Peripheral blood film:
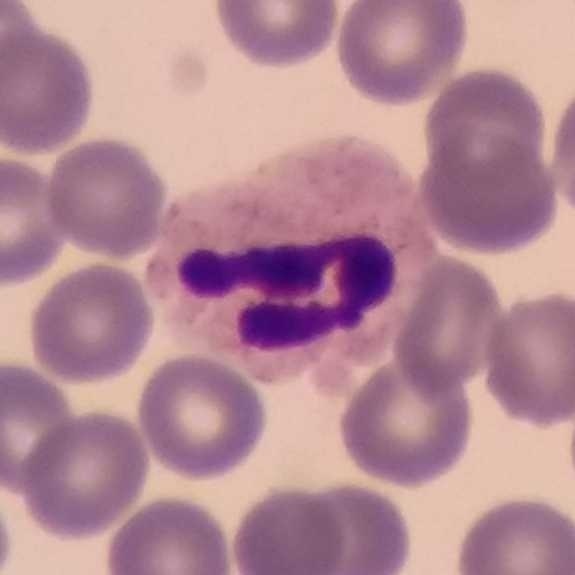 Morphological class = neutrophil granulocyte.